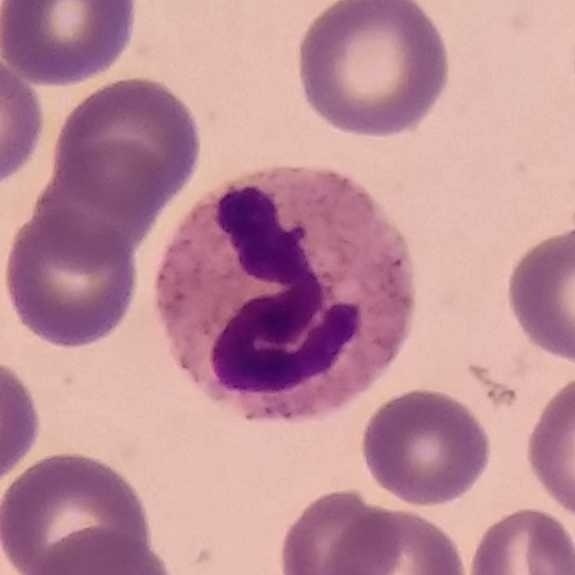

Classification: neutrophil granulocyte. Image: Peripheral blood smear · cropped to one leukocyte.